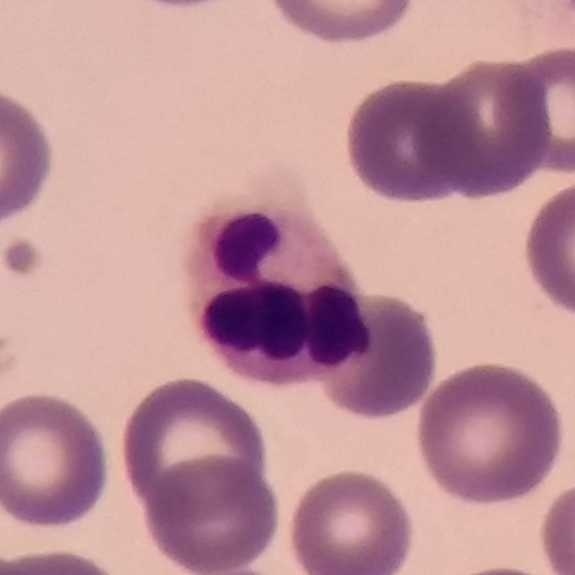

Q: What is this?
A: A neutrophilic granulocyte.